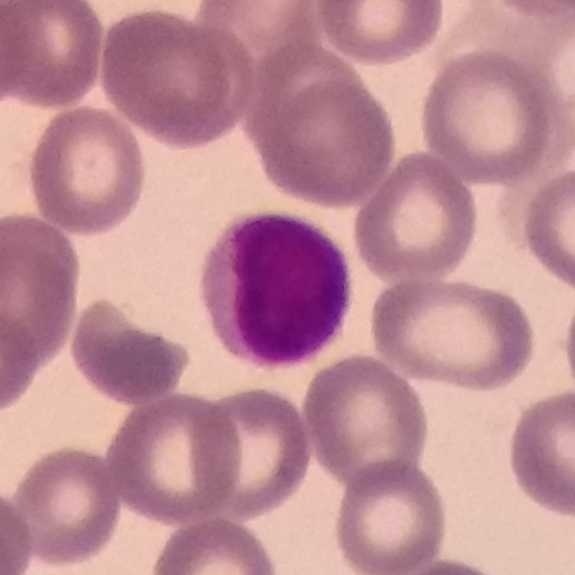
Impression — lymphocyte.